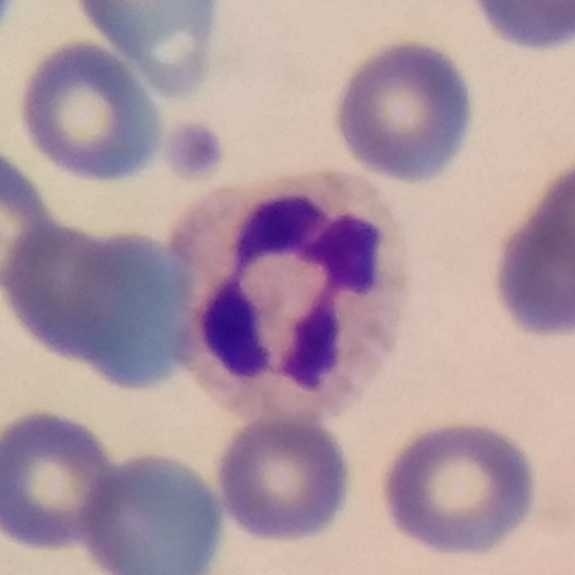

This is a neutrophil granulocyte.